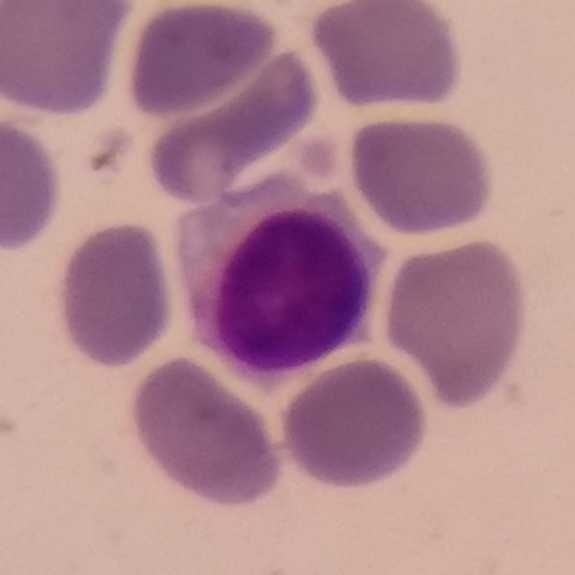

Image: Peripheral blood smear. Classification: lymphocyte.